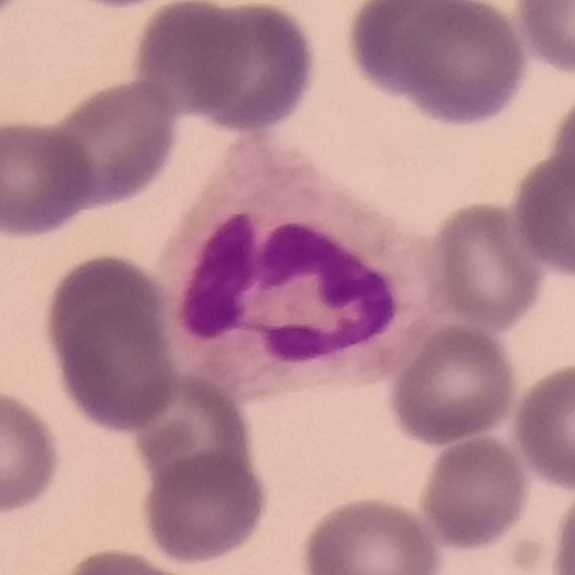Context: Peripheral blood smear · stained with Giemsa. The cell is neutrophilic granulocyte.